Peripheral blood smear — 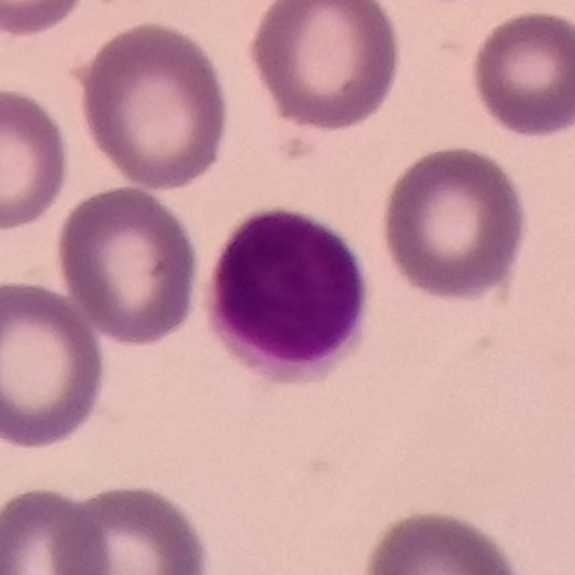Q: What cell is this?
A: A lymphocyte.